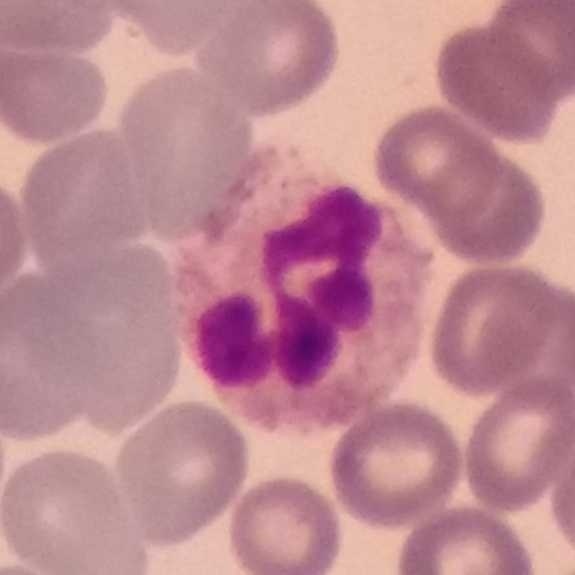 The cell shown is a neutrophilic granulocyte.

Context: Peripheral blood smear.